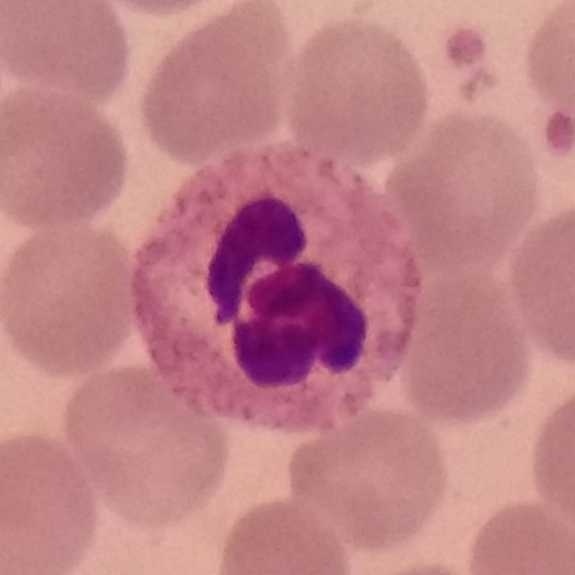Morphology — neutrophil.